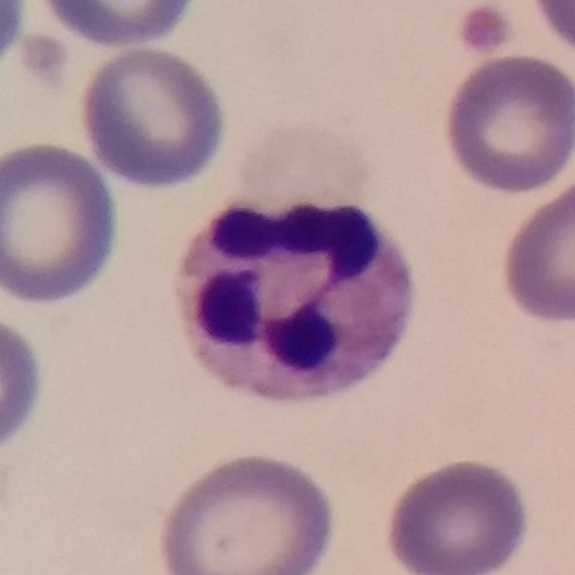 From a peripheral blood smear: a neutrophilic granulocyte.